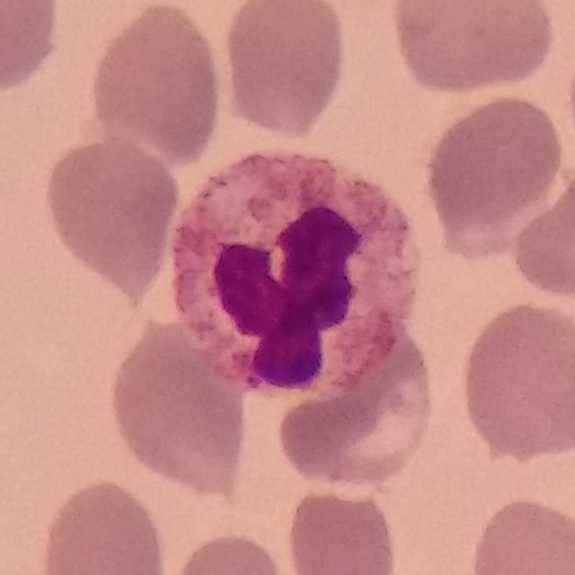

Specimen: peripheral blood film.
White blood cell type: neutrophil.
Lineage: myeloid.